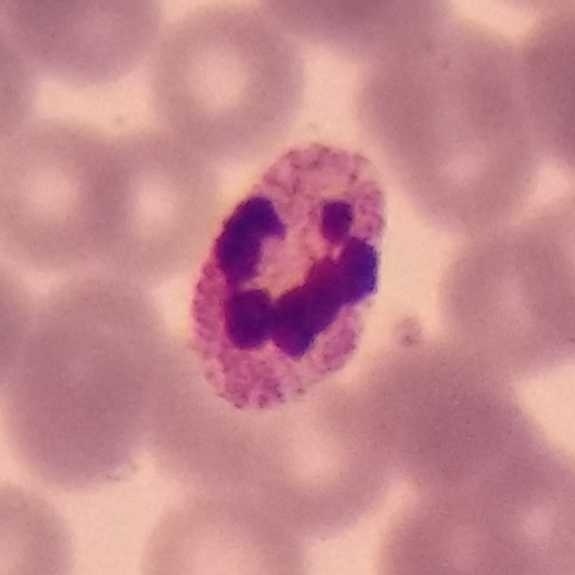{"cell_type": "neutrophil granulocyte"} Acquisition: Peripheral blood film.